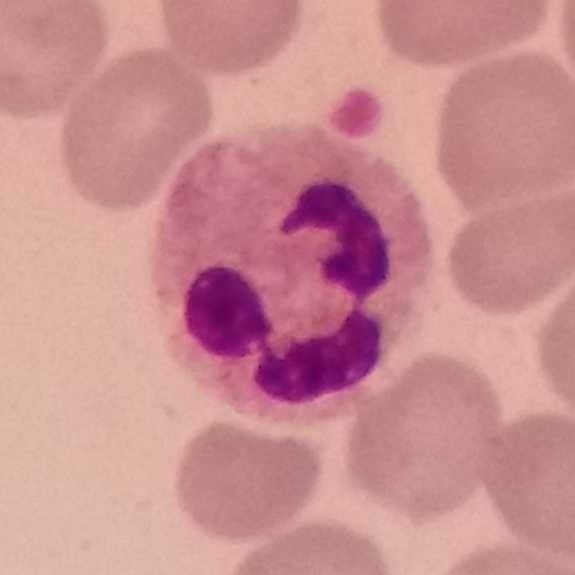
A neutrophil.